Peripheral blood smear — 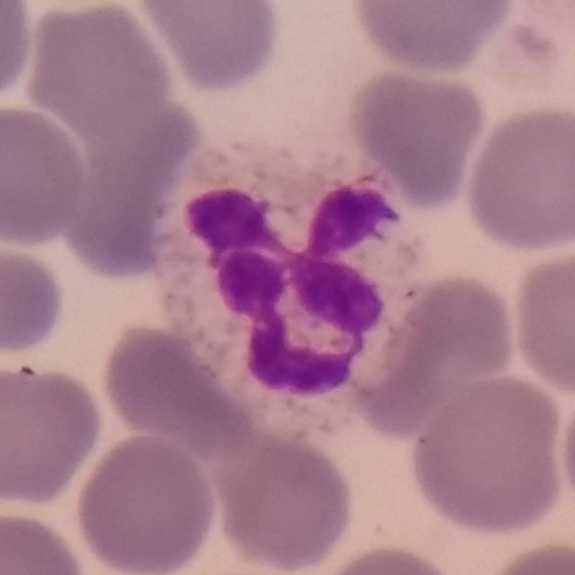
Showing a neutrophilic granulocyte.